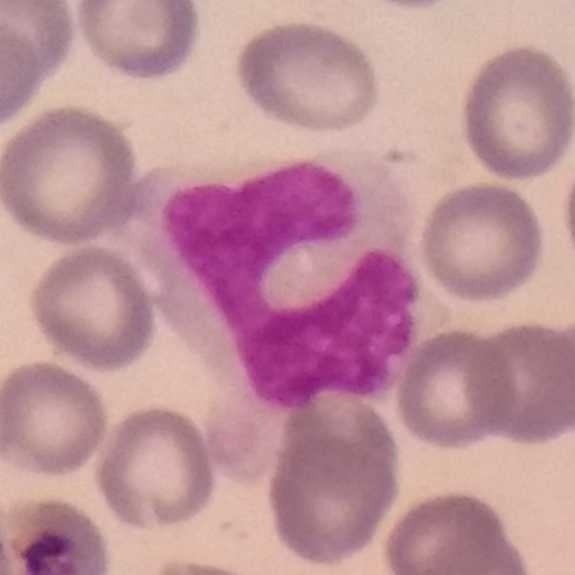
Morphology consistent with a monocyte.